Single-cell crop; peripheral blood film.
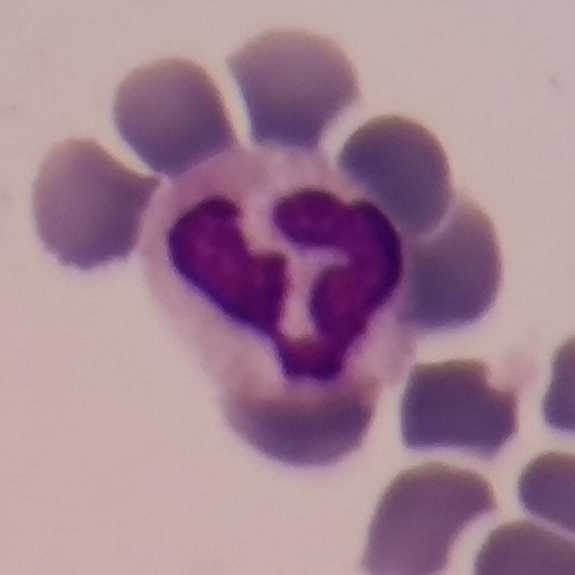
The white blood cell type is neutrophil.